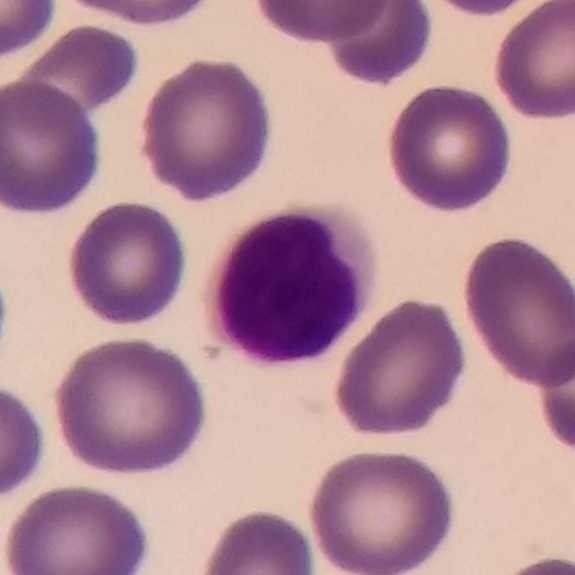

The white blood cell in this image is a lymphocyte.